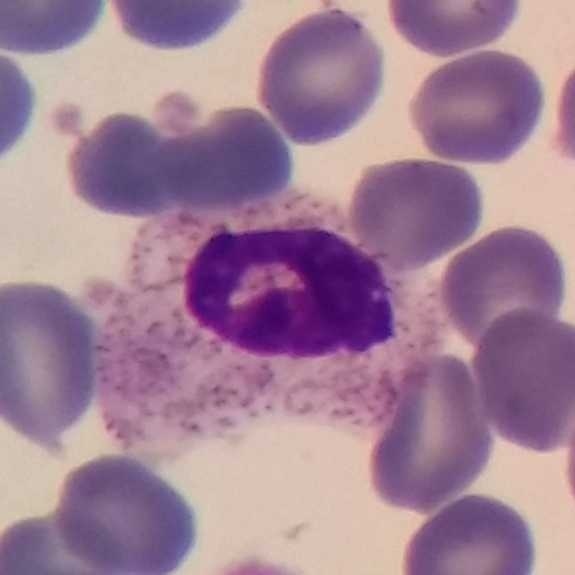 Identified as a neutrophilic granulocyte.

Acquisition: Peripheral blood smear.